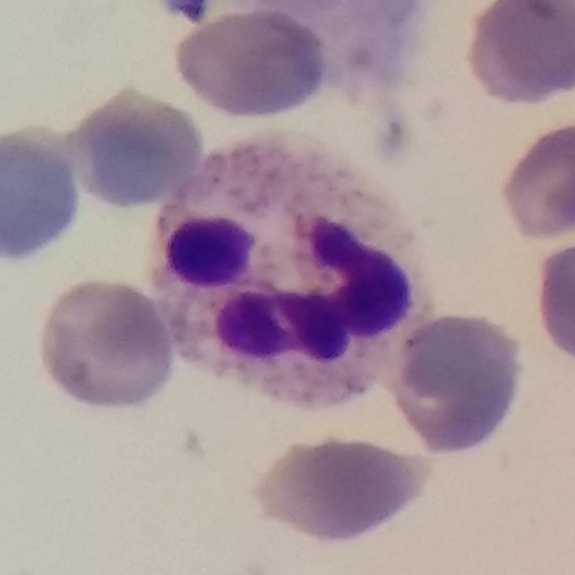Specimen: peripheral blood film.
White blood cell type: neutrophil.